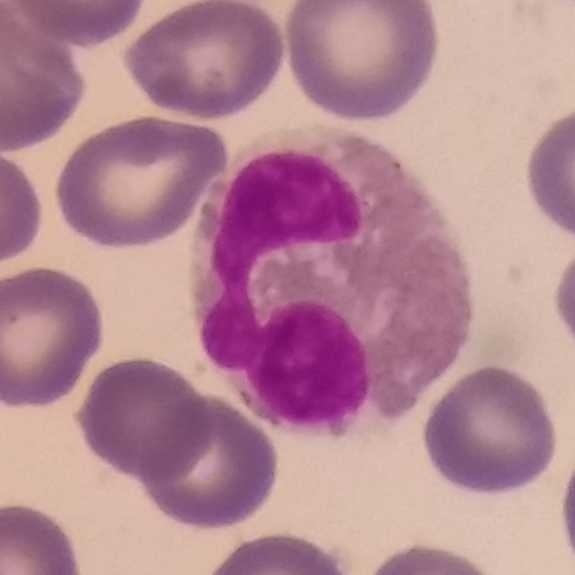Context: Peripheral blood film. White blood cell type: eosinophilic granulocyte.